Peripheral blood smear
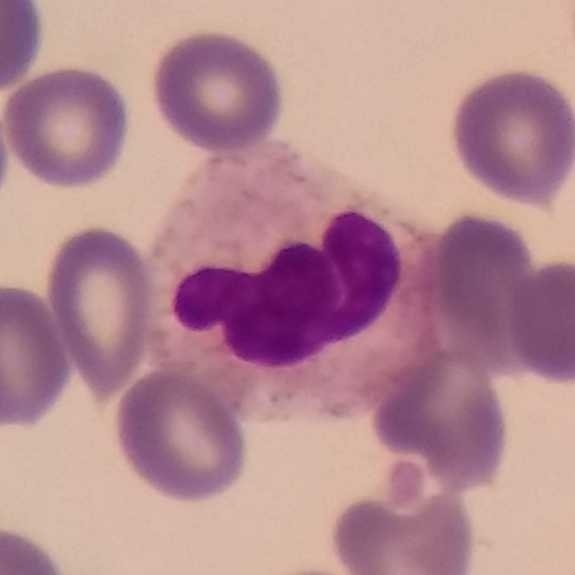

The cell shown is a neutrophilic granulocyte.